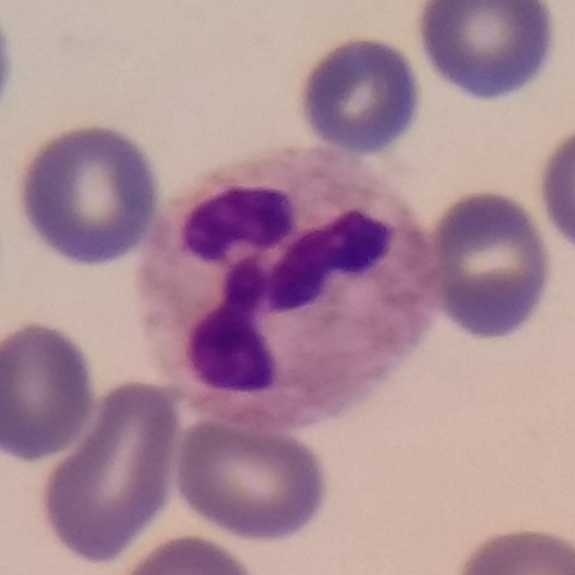Morphological class: neutrophil. Preparation: 100× magnification. Peripheral blood smear.